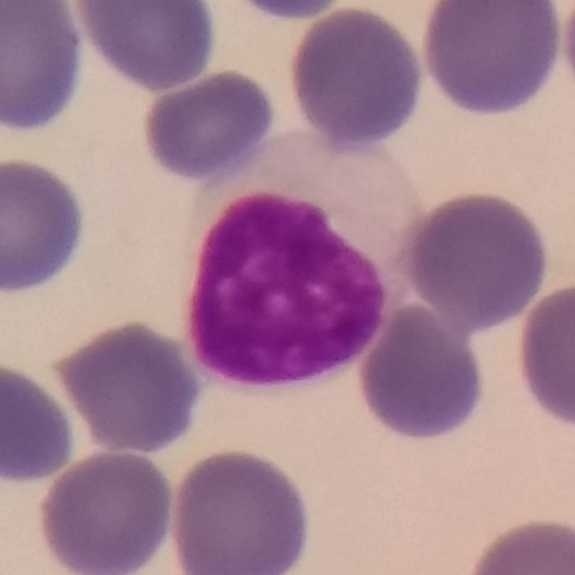 Context: Peripheral blood film. White blood cell type = lymphocyte.